Giemsa-stained; peripheral blood film.
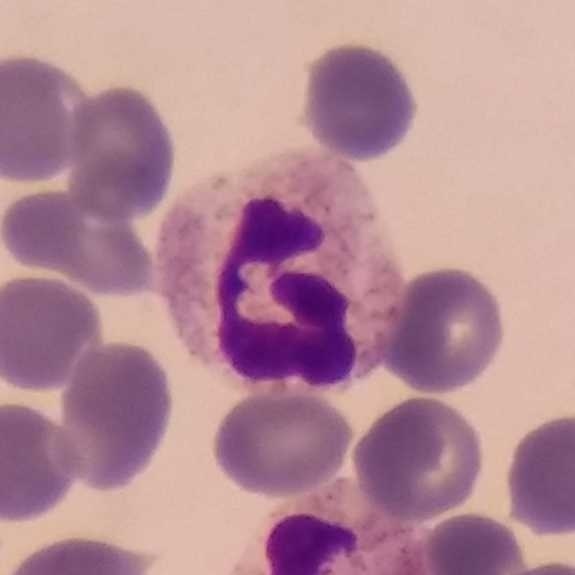
Specimen: peripheral blood smear.
White blood cell type: neutrophil.
Lineage: myeloid.